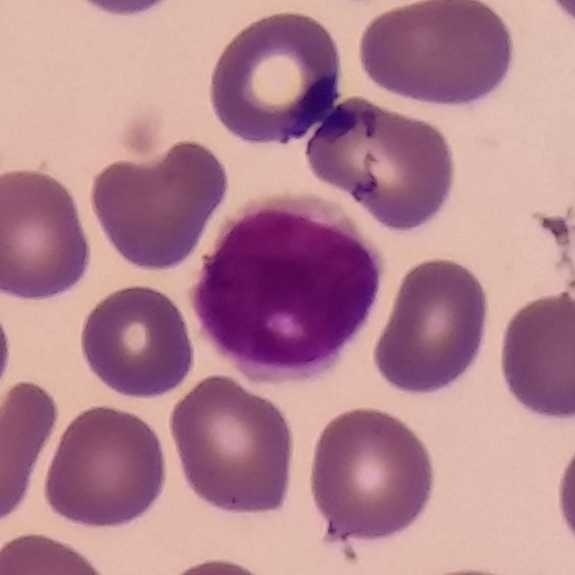

Q: What type of cell is this?
A: This is a lymphocyte.